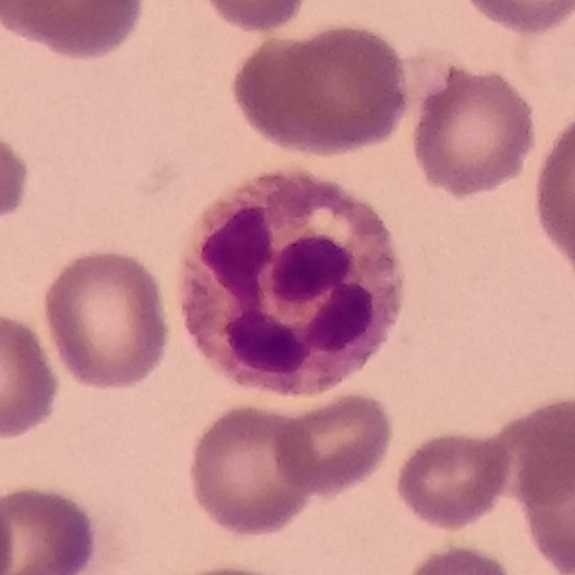Peripheral blood film · cropped to one leukocyte.

Q: What cell is this?
A: It is a neutrophilic granulocyte.